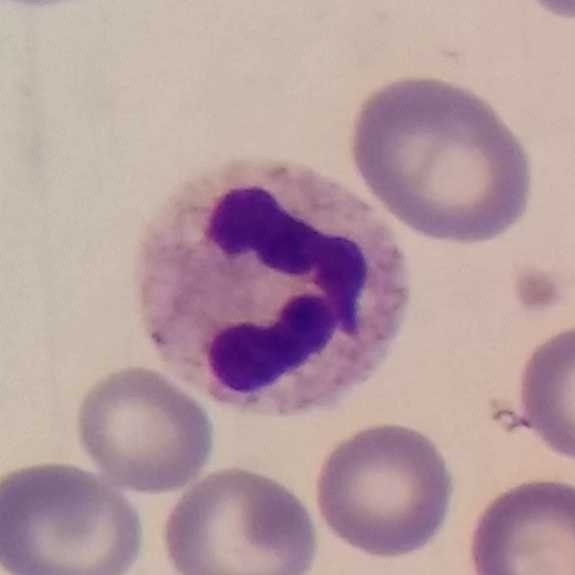

Neutrophilic granulocyte.
100× magnification; peripheral blood film; stained with Giemsa.